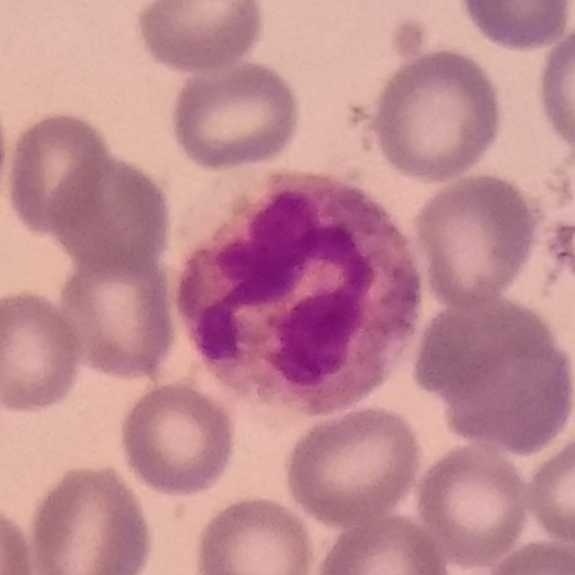Identified as a neutrophilic granulocyte.

Preparation: Giemsa-stained; peripheral blood film.